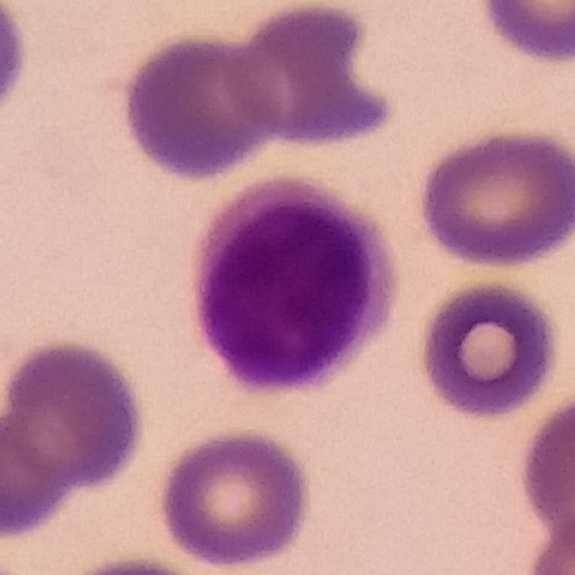

Q: What is this?
A: Lymphocyte.

Peripheral blood smear · photographed through a light microscope with a smartphone camera.